Peripheral blood film
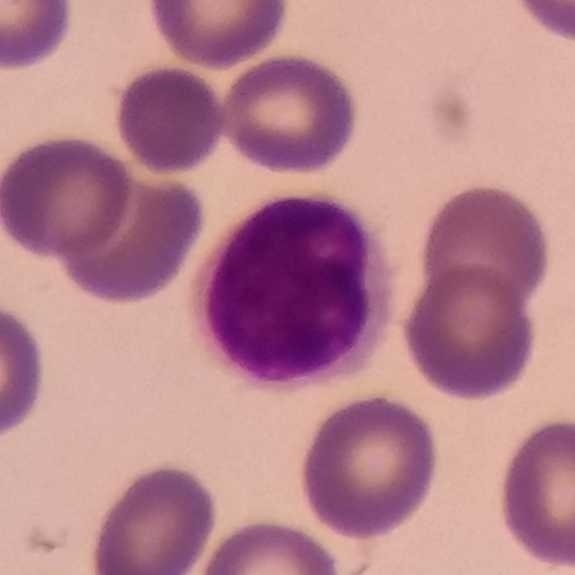The cell shown is a lymphocyte.